Peripheral blood film:
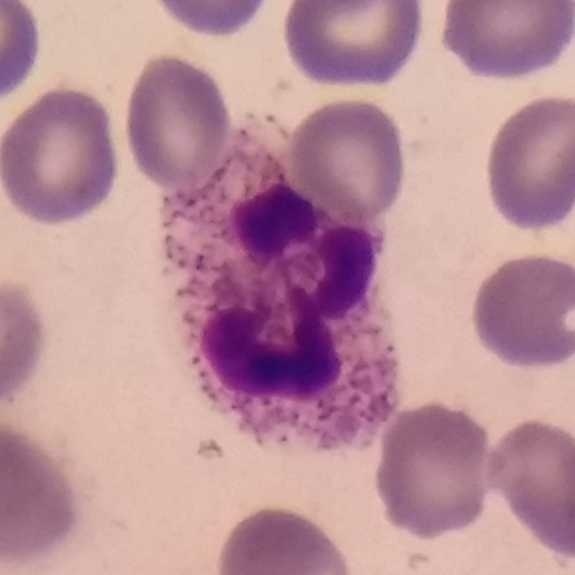The cell is neutrophil.